Peripheral blood film
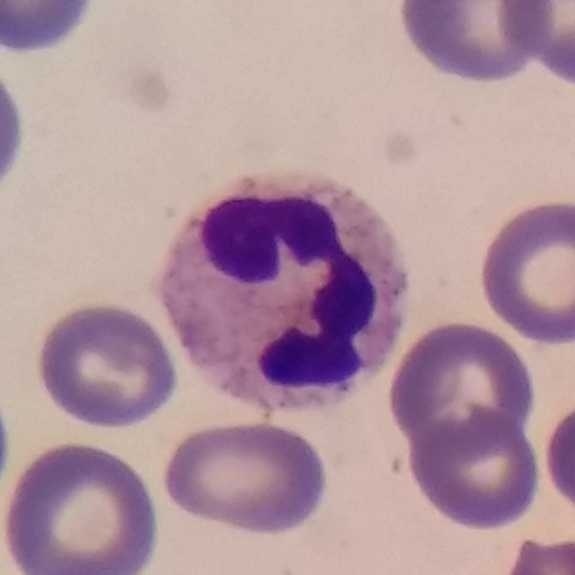

Cell: neutrophil granulocyte.